575×575 px. Peripheral blood film — 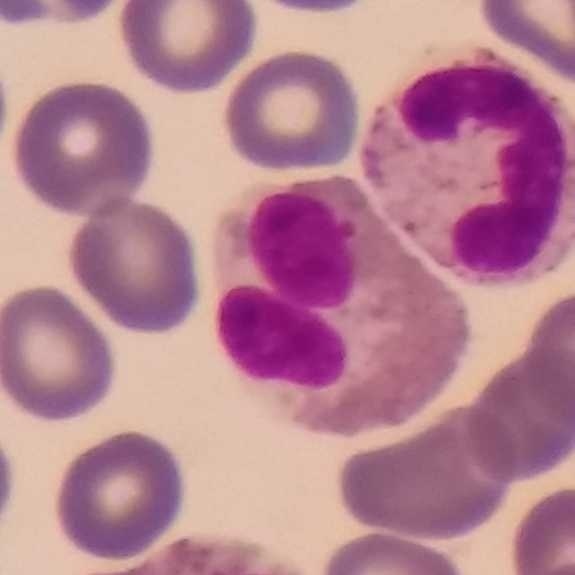
Eosinophilic granulocyte.